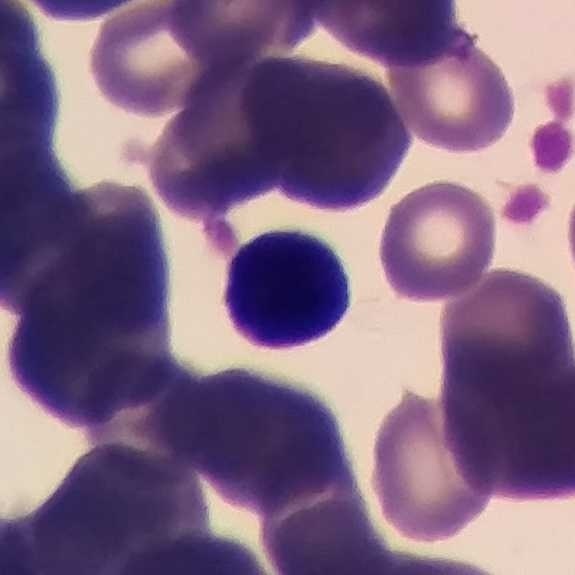

Cropped to one leukocyte. Peripheral blood film. Magnification 100×.

Cell: lymphocyte.